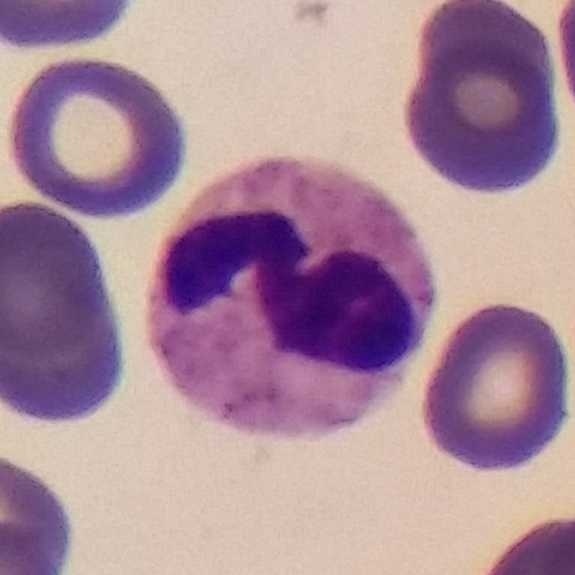 Single cell identified as a neutrophil granulocyte.

Peripheral blood smear; single-cell crop.